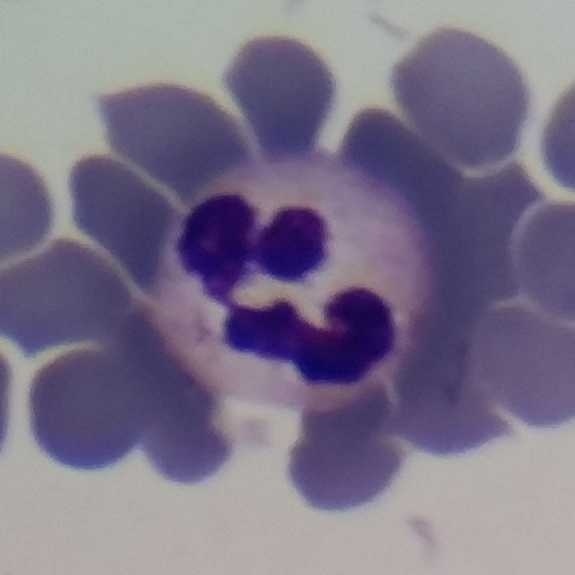Peripheral blood smear. White blood cell type = neutrophil.